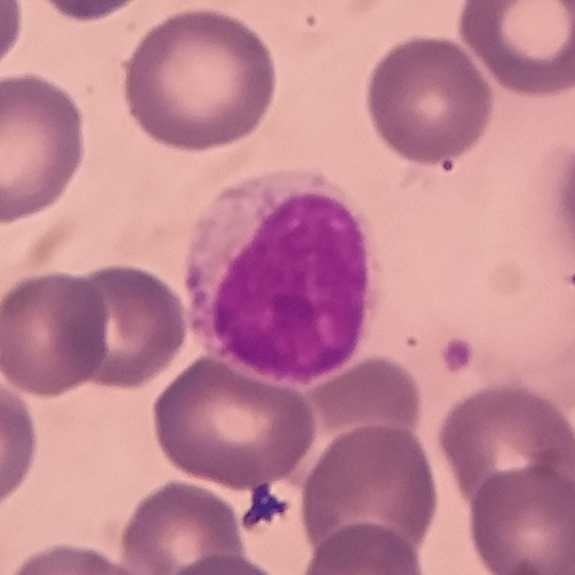Preparation: Peripheral blood film. Smartphone camera mounted on the microscope eyepiece.

Morphology — lymphocyte.